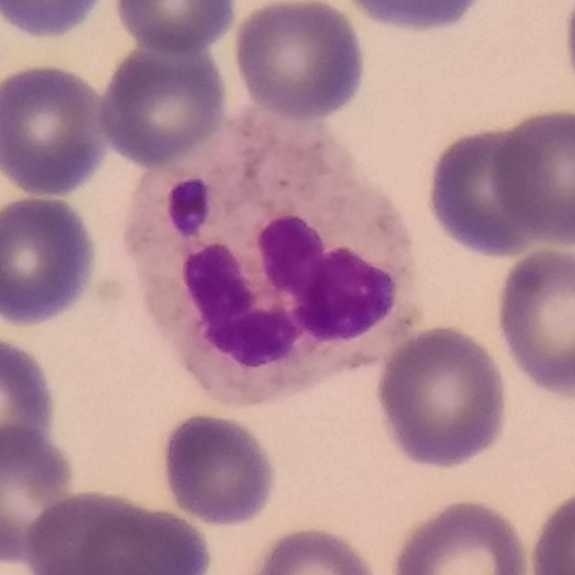
Impression → neutrophil.